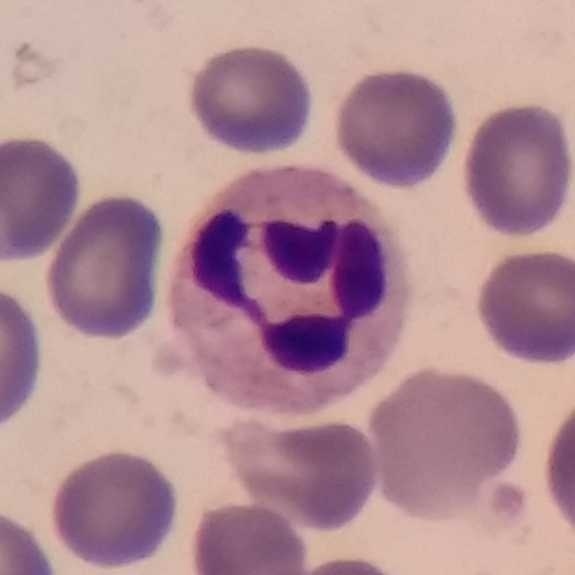Q: What is shown here?
A: This is a neutrophilic granulocyte.